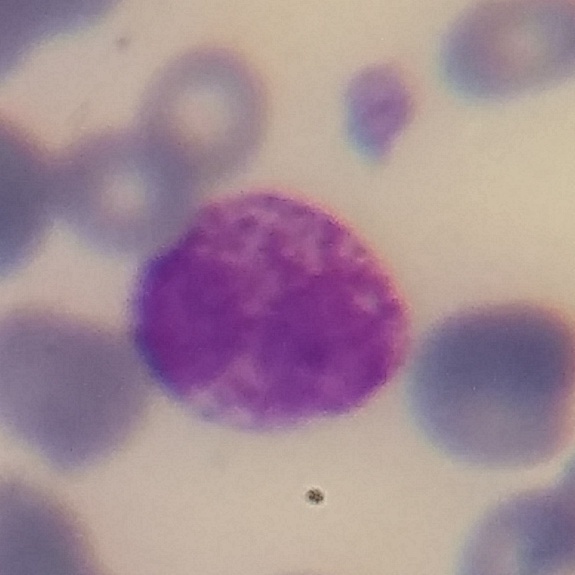
Single-cell crop · peripheral blood film.
Q: Which cell type is shown here?
A: This is a basophil.